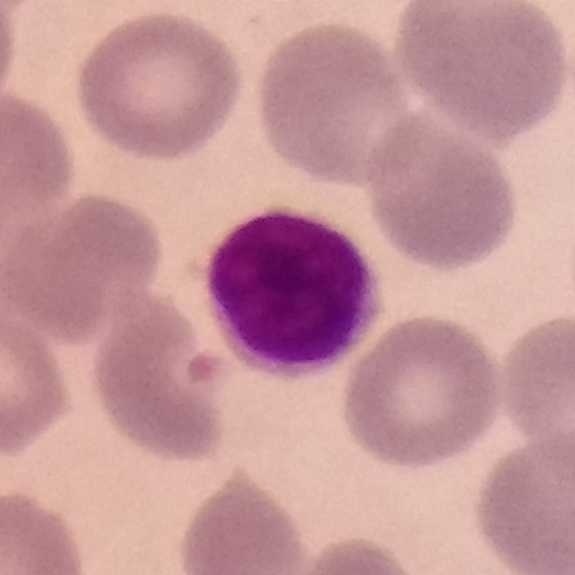 Morphological class — lymphocyte.